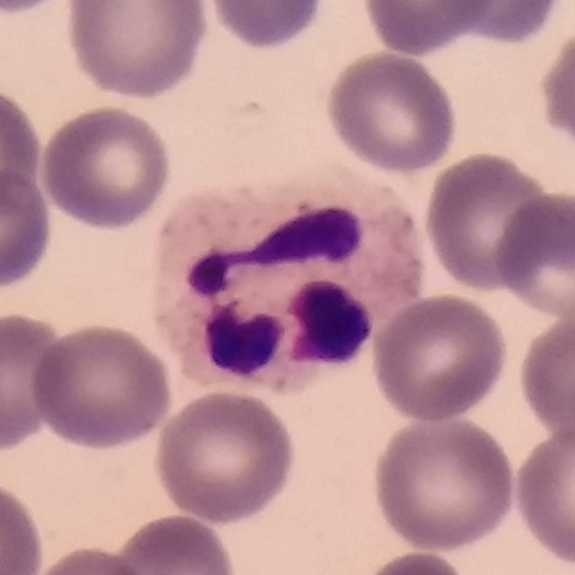Context: 100× magnification. Peripheral blood smear. The cell shown is a neutrophil.